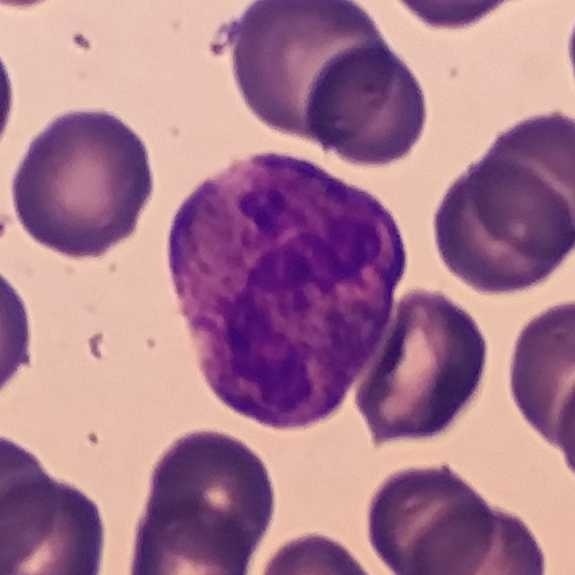 Morphology consistent with a neutrophilic granulocyte. Context: Peripheral blood smear · cropped to one leukocyte.